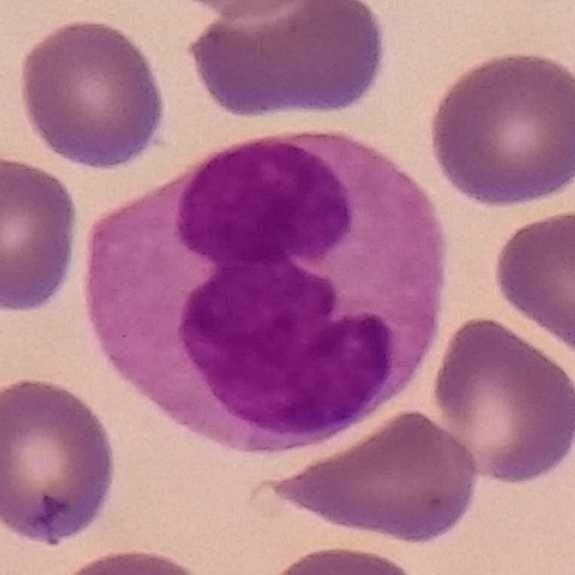Image: Phone-camera image taken through the microscope ocular.

Specimen: peripheral blood film.
Classification: monocyte.